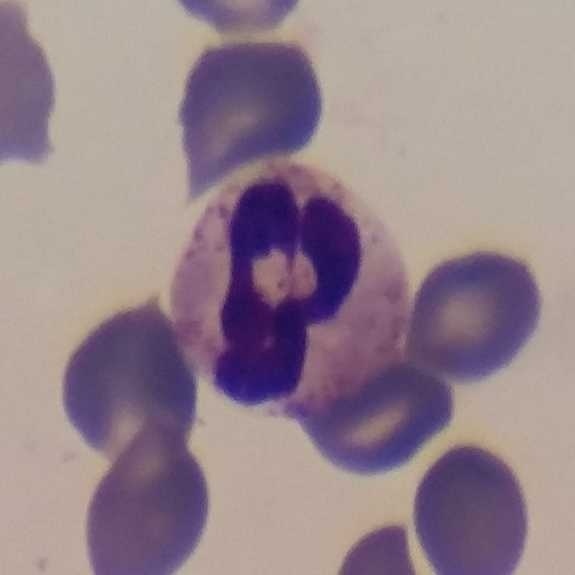 A neutrophilic granulocyte.

Image size 575×575. Peripheral blood film. Giemsa-stained.